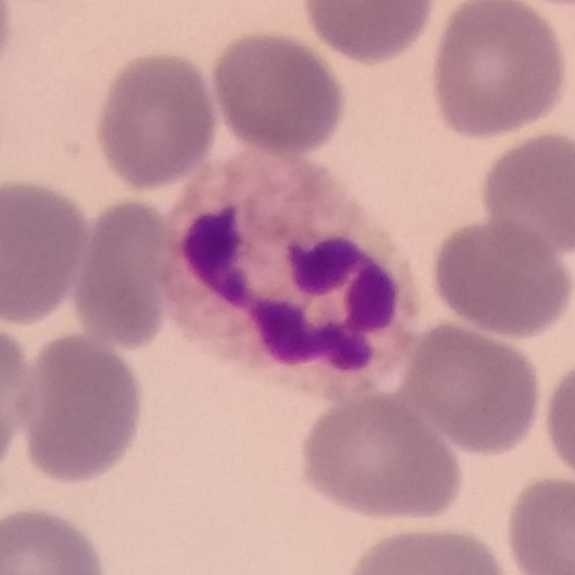
Peripheral blood film.

Morphological class — neutrophil granulocyte.